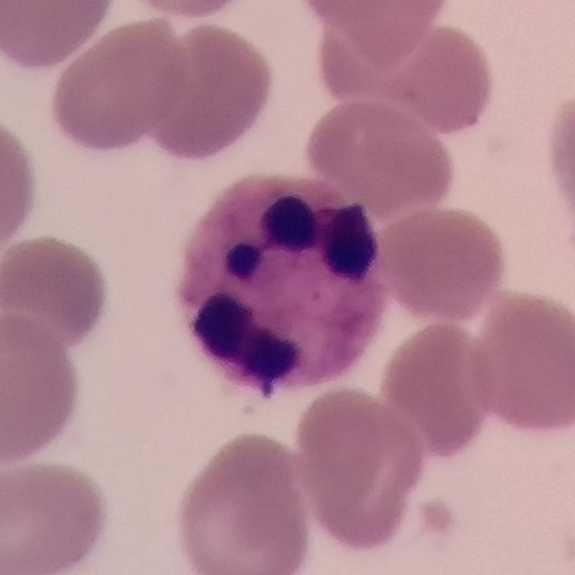
This is a neutrophilic granulocyte.

Imaged at 100×. Peripheral blood smear.